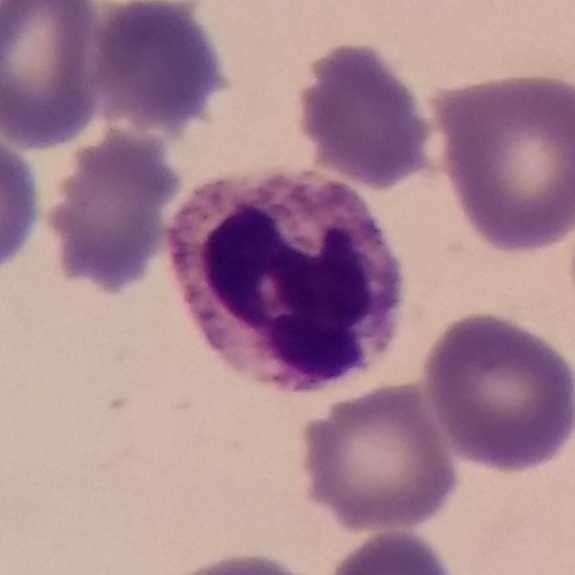
Q: Classify this leukocyte.
A: Neutrophilic granulocyte.